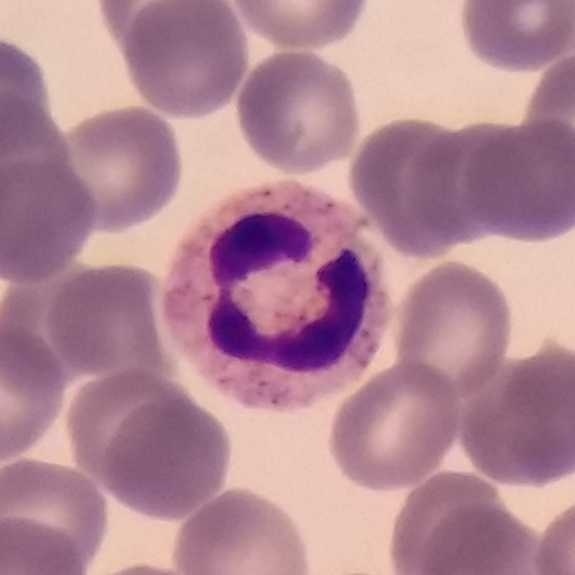
Morphology → neutrophil granulocyte.

Peripheral blood film · single-cell field.